Phone-camera image taken through the microscope ocular; peripheral blood smear:
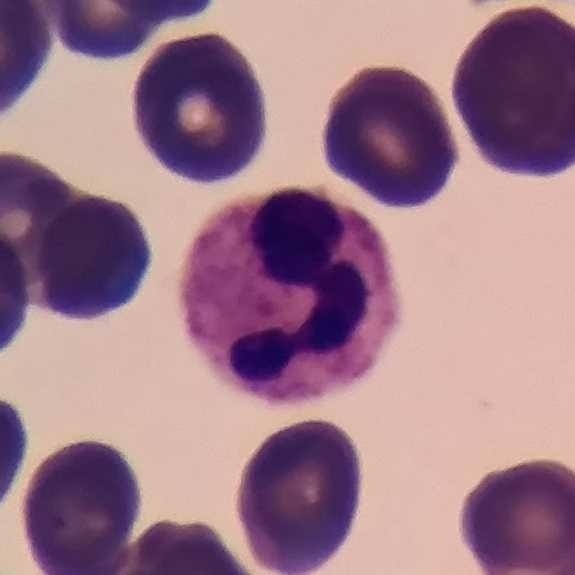
{"cell_type": "neutrophilic granulocyte", "lineage": "myeloid"}